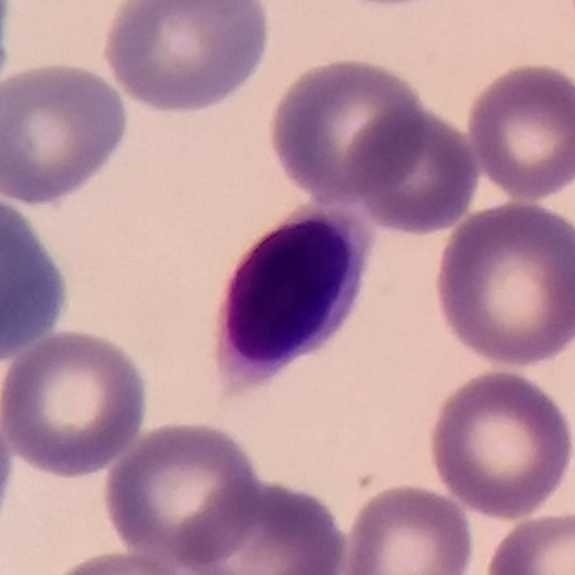Preparation: Peripheral blood smear.
Cell = lymphocyte.